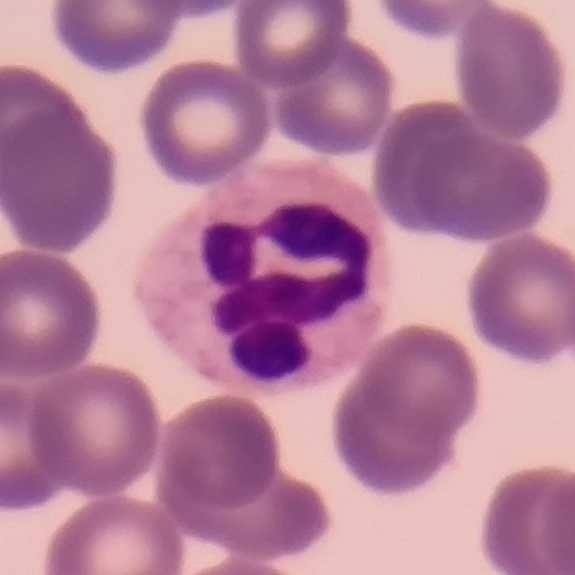The white blood cell in this image is a neutrophilic granulocyte. Preparation: Peripheral blood film.